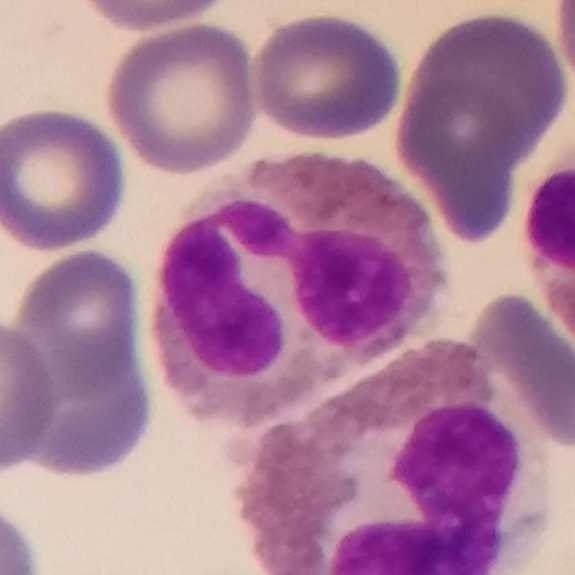

{"cell_type": "eosinophil", "lineage": "myeloid"}
Image: Phone-camera image taken through the microscope ocular · peripheral blood smear.